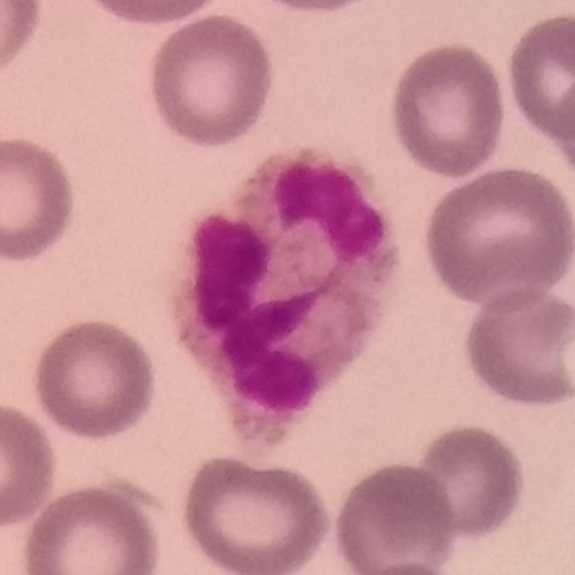
Cell type: neutrophil granulocyte.